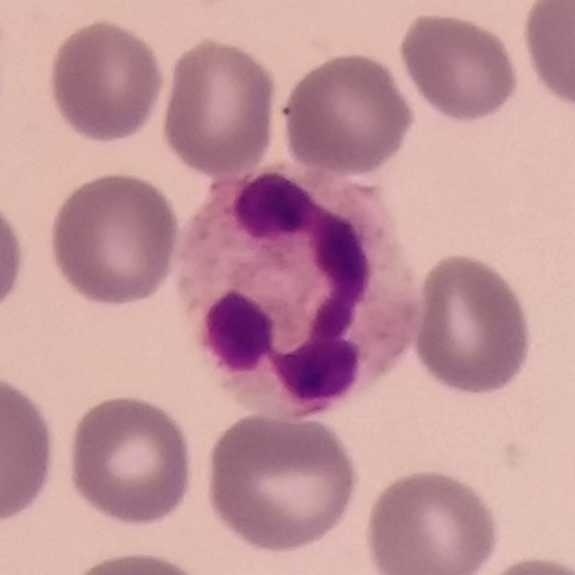
Acquisition: Peripheral blood smear. Impression — neutrophilic granulocyte.